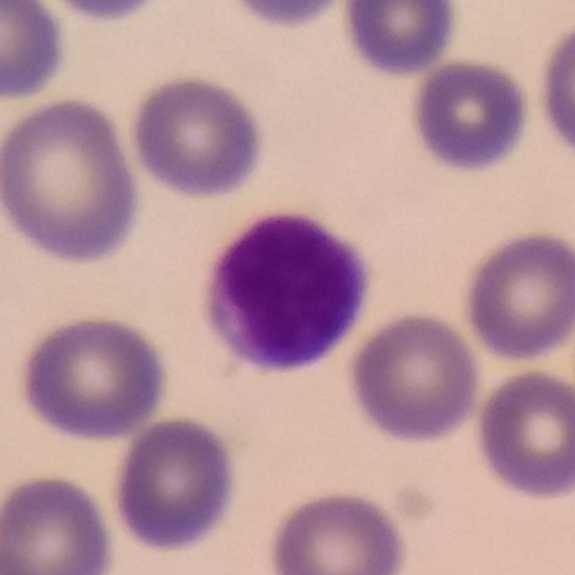Context: Peripheral blood film.
Q: Which cell type is shown here?
A: It is a lymphocyte.